Peripheral blood film:
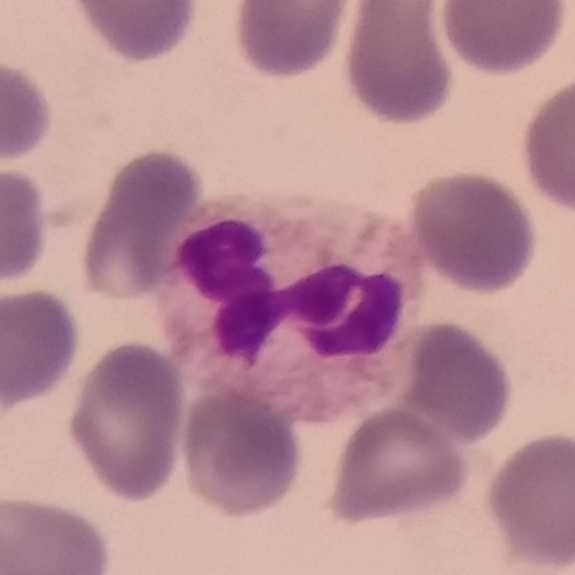 Q: Which type of white blood cell is this?
A: Neutrophilic granulocyte.